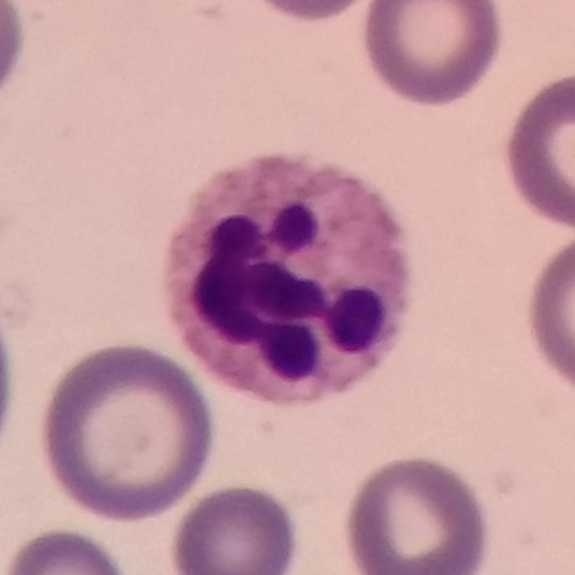
The white blood cell in this image is a neutrophil.

Peripheral blood smear · photographed through a light microscope with a smartphone camera · image size 575×575.